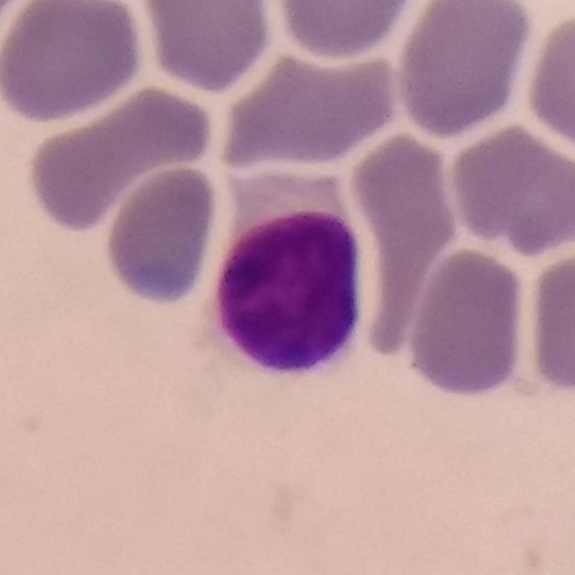White blood cell type: lymphocyte.